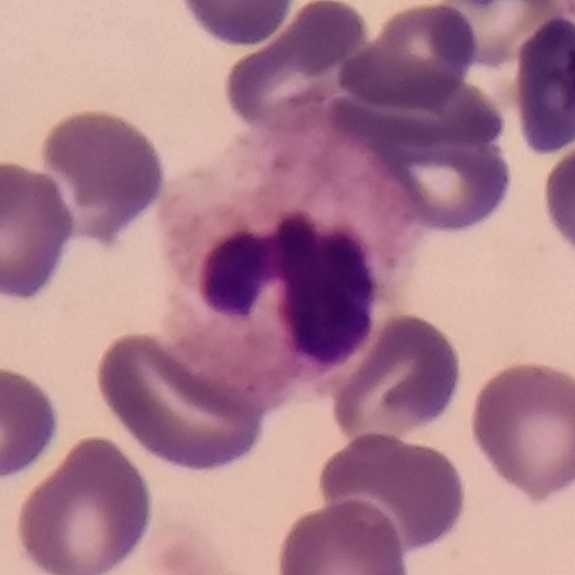

Preparation: Peripheral blood smear.

A neutrophilic granulocyte.